Peripheral blood film:
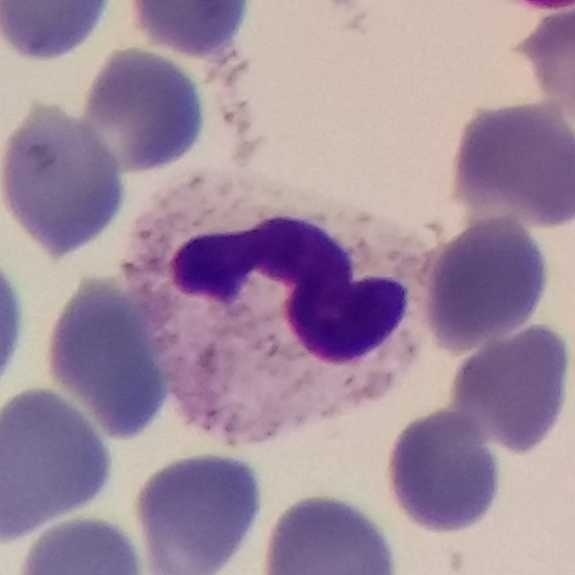 The white blood cell type is neutrophilic granulocyte.